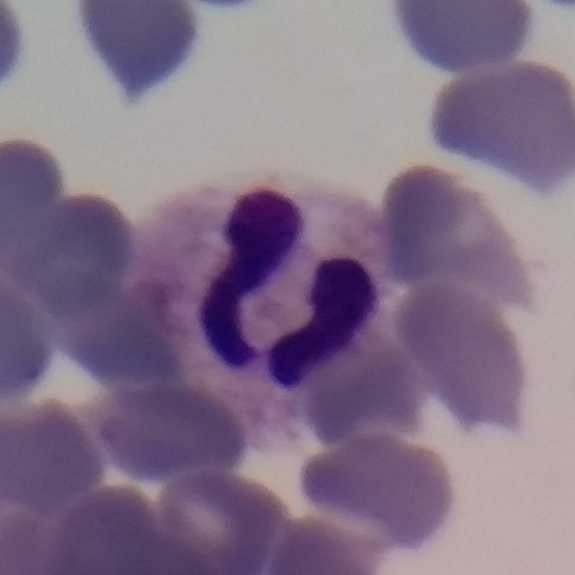
Context: 575 by 575 pixels · magnification 100× · peripheral blood smear.

Impression — neutrophilic granulocyte.